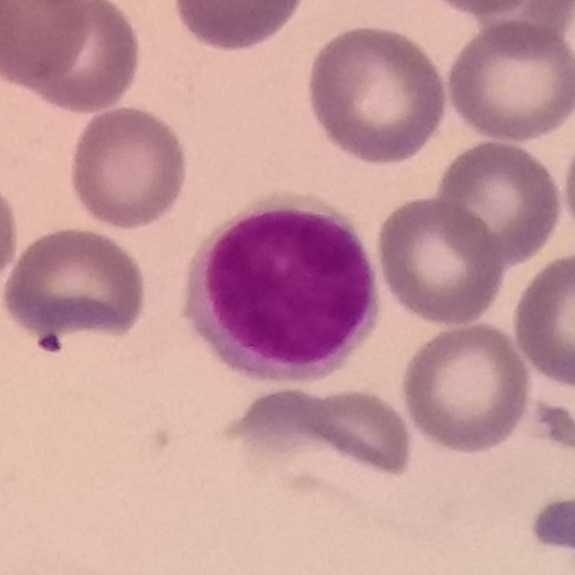 575 by 575 pixels; Giemsa stain; peripheral blood film.

The white blood cell type is lymphocyte.